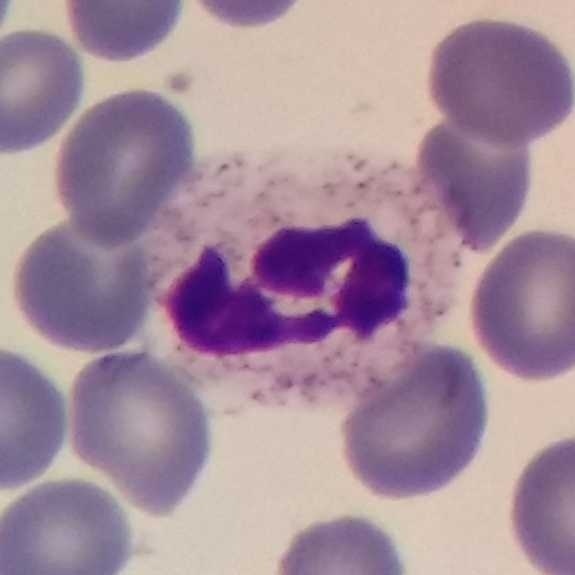
Acquisition: Peripheral blood film · smartphone photomicrograph.

The white blood cell type is neutrophil.